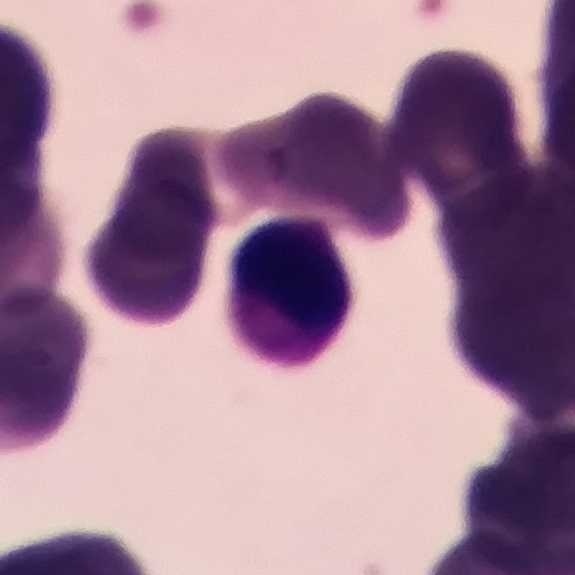
Image: Peripheral blood film.

Impression → neutrophil granulocyte.